Peripheral blood smear:
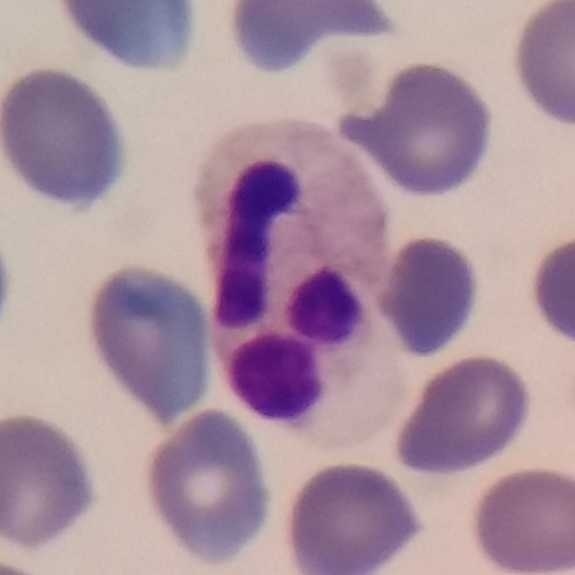 The white blood cell in this image is a neutrophil.